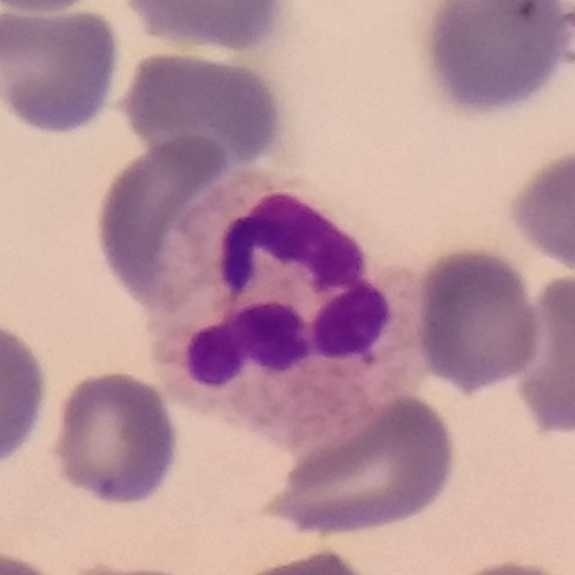White blood cell from a peripheral blood smear: neutrophilic granulocyte.